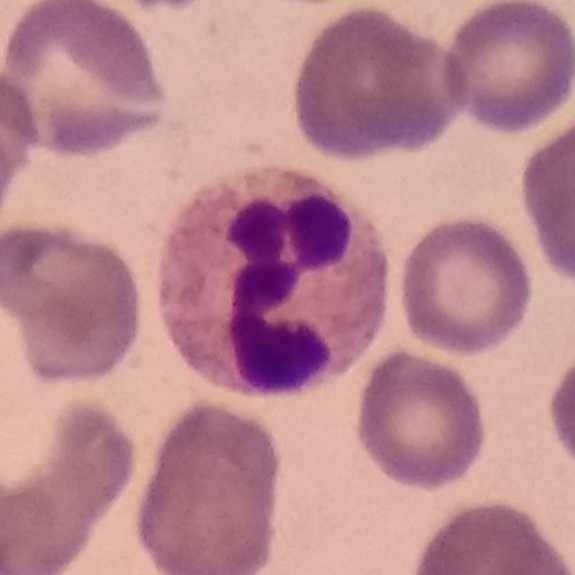Morphology — neutrophil granulocyte.